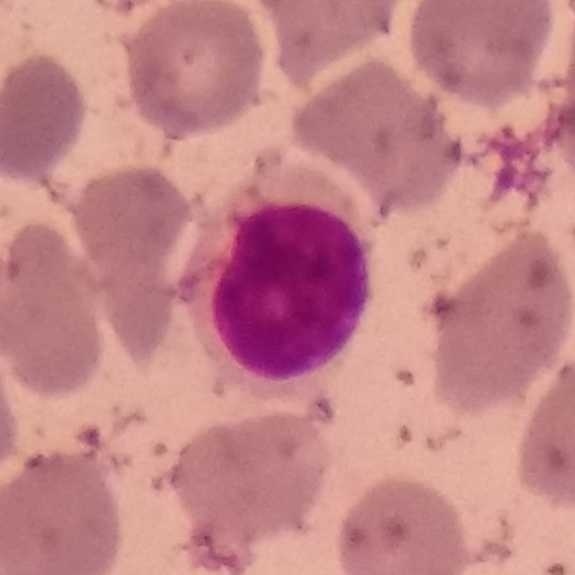Context: Peripheral blood film.
{"cell_type": "lymphocyte", "lineage": "lymphoid"}